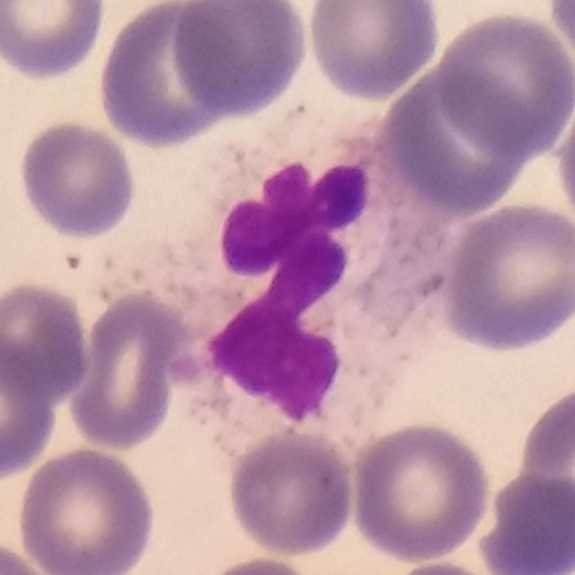 Specimen: peripheral blood smear.
White blood cell type: neutrophil granulocyte.

Context: Cropped to one leukocyte.